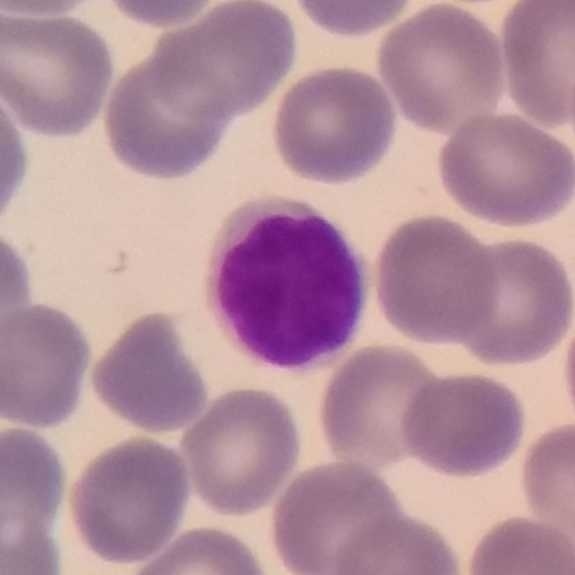 Single white blood cell cropped from the smear photograph. Peripheral blood smear.
Lymphocyte.